Peripheral blood film — 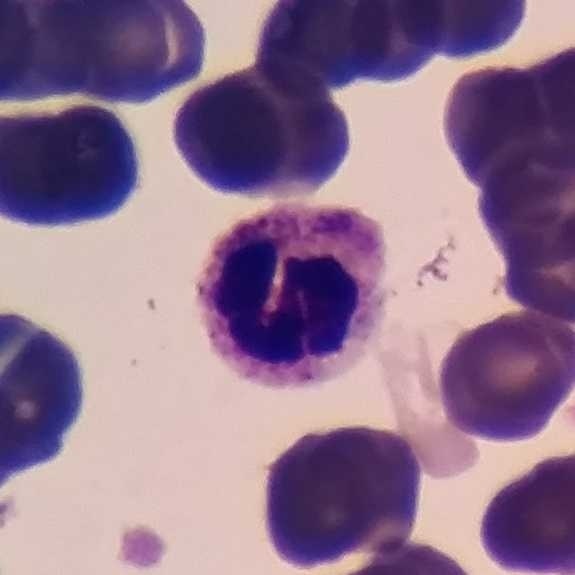Q: What cell is this?
A: Neutrophil.